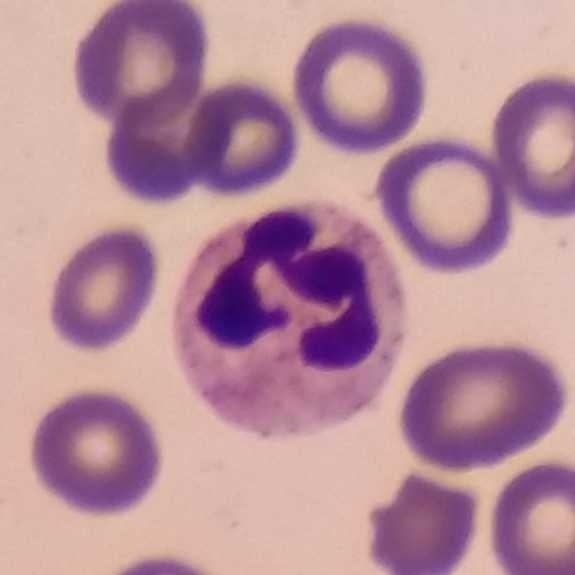Preparation: Peripheral blood film.
{"cell_type": "neutrophilic granulocyte", "lineage": "myeloid"}